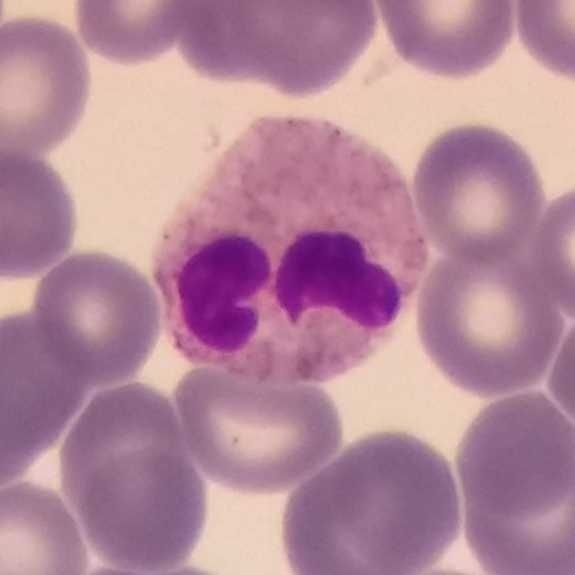

Peripheral blood smear showing a neutrophilic granulocyte.